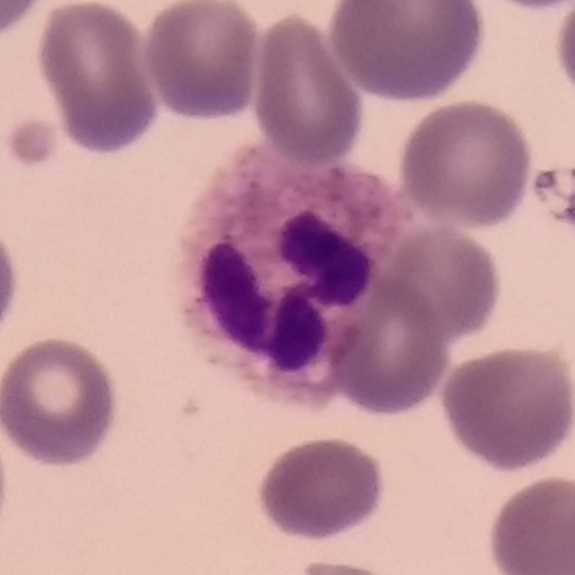
Single cell identified as a neutrophil granulocyte.

Peripheral blood smear.